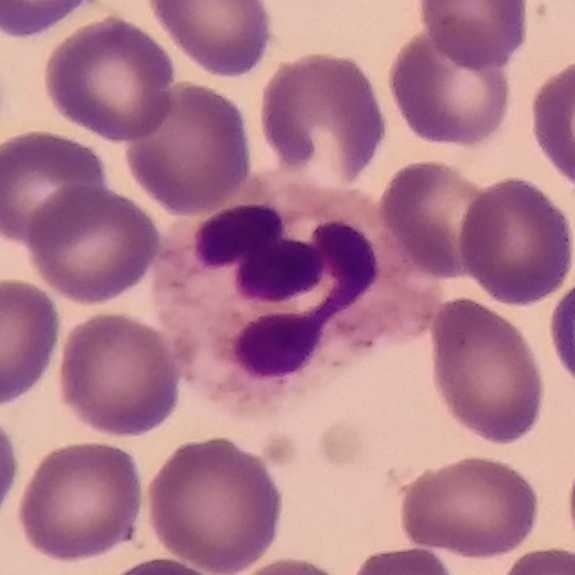
Q: Classify this leukocyte.
A: This is a neutrophil. Giemsa stain; cropped to one leukocyte; peripheral blood smear.